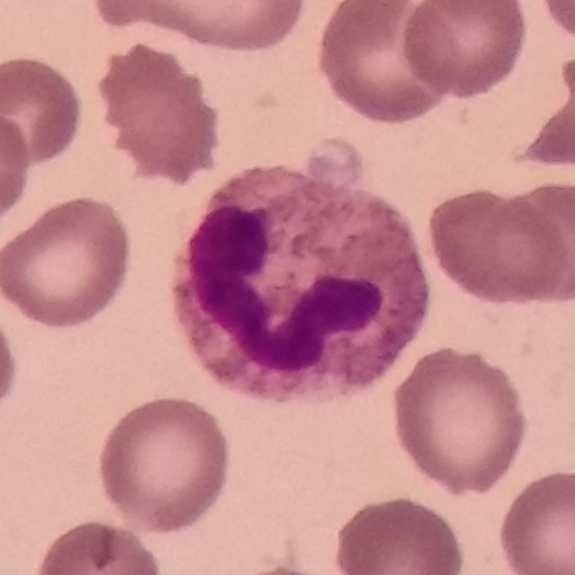Image: Giemsa-stained. Peripheral blood smear.

Morphological class = neutrophil.